Peripheral blood smear: 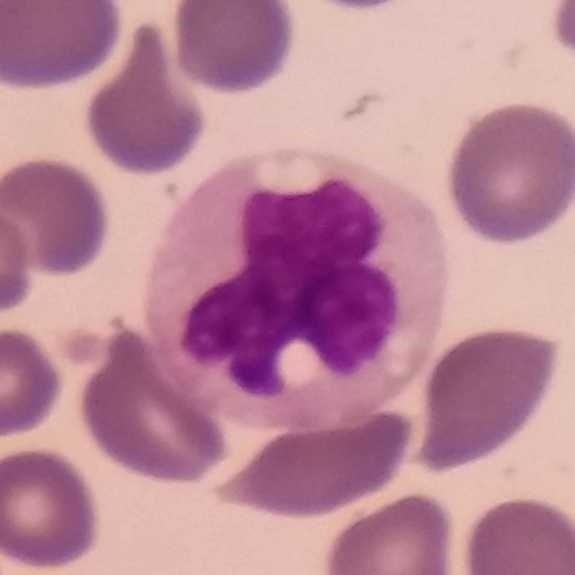 Single cell identified as a monocyte.